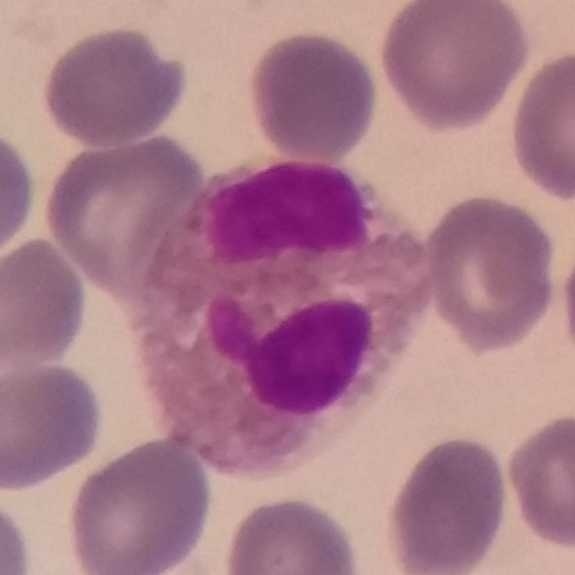 Q: What is this?
A: Eosinophilic granulocyte.